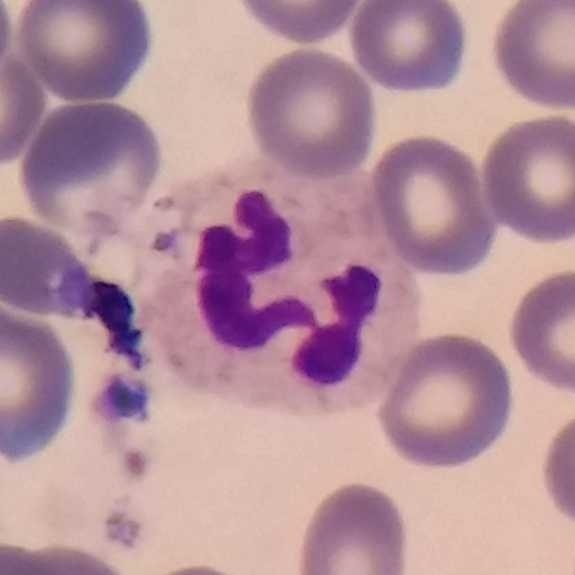

White blood cell type = neutrophil.

Peripheral blood film; cropped to one leukocyte.